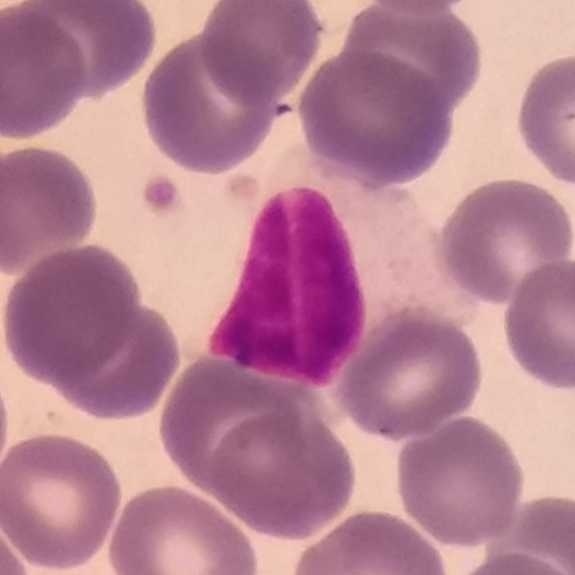

Acquisition: Peripheral blood smear · 575×575 px. The cell shown is a lymphocyte.